Peripheral blood film: 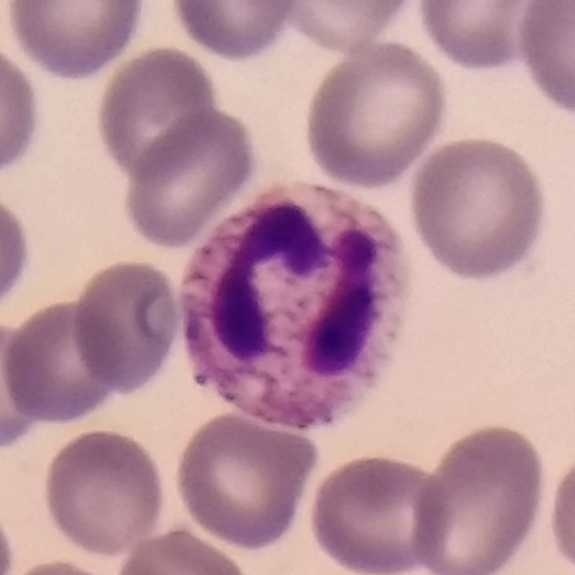Specimen: peripheral blood film.
Classification: neutrophil granulocyte.